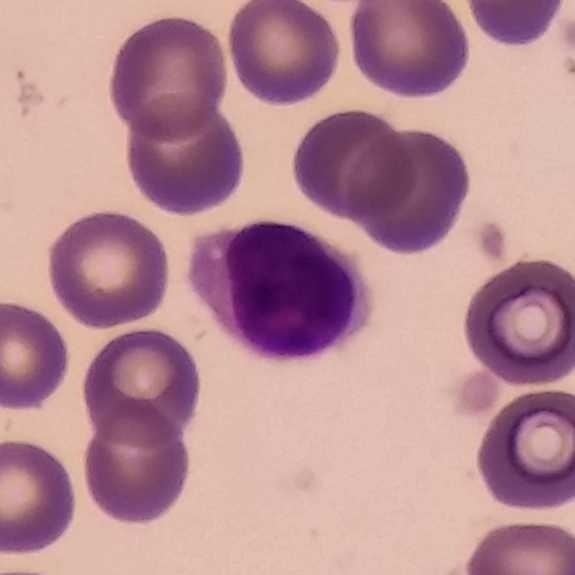Classification = lymphocyte.
Image: Giemsa-stained · peripheral blood film · cropped to one leukocyte.